Peripheral blood smear — 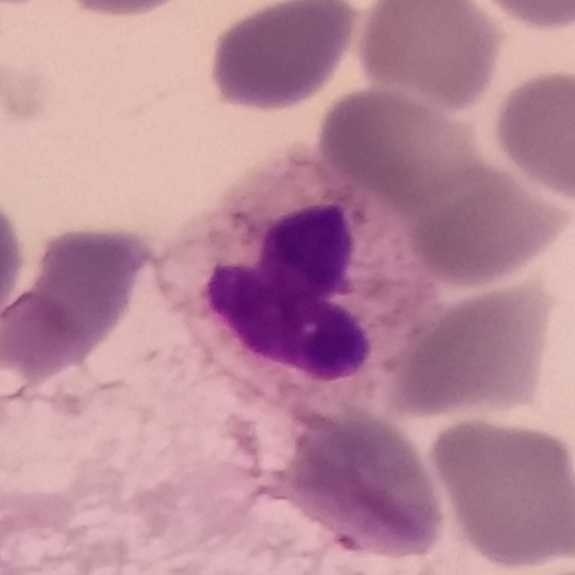Showing a neutrophil.